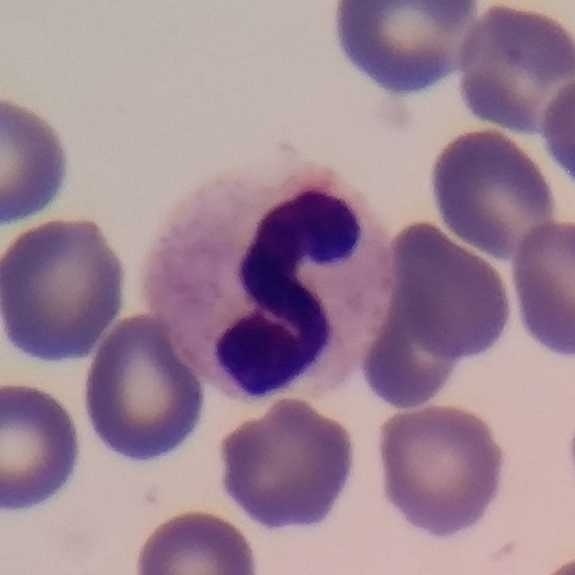 Cell = neutrophil.

Image: Peripheral blood smear; 575×575 px.